Peripheral blood film: 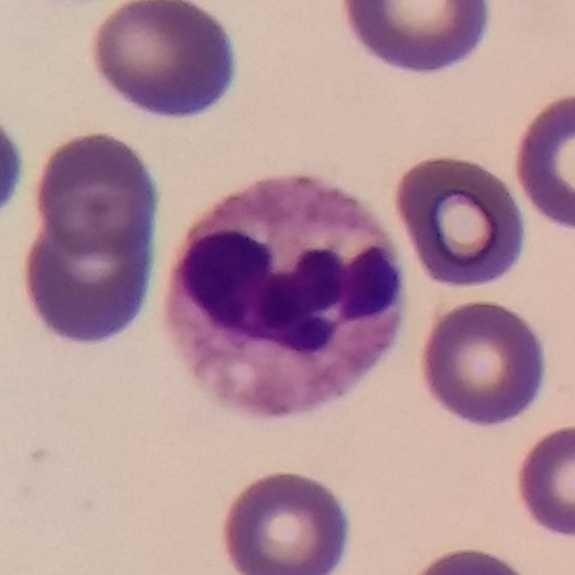
Identified as a neutrophil granulocyte.